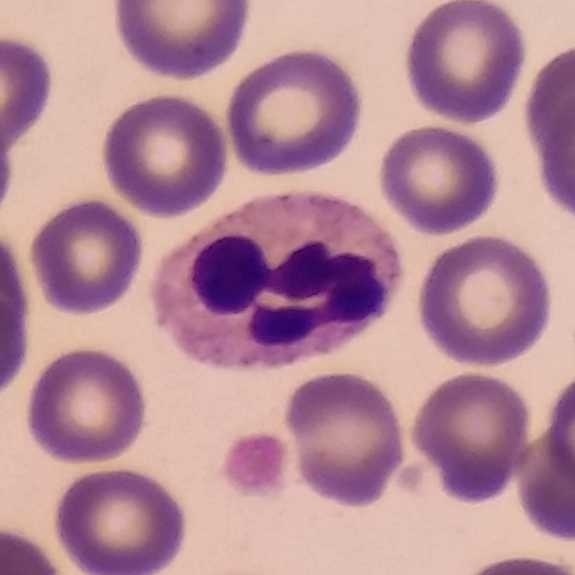Preparation: Peripheral blood film; Giemsa-stained; 100× magnification.
The cell type is neutrophil.